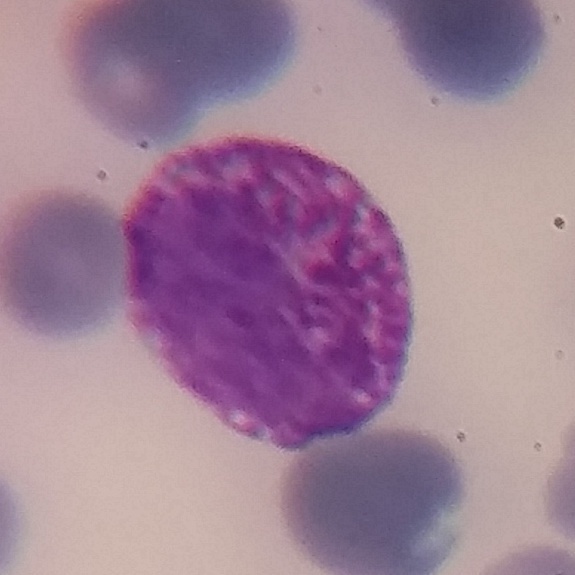
Morphology → basophil.